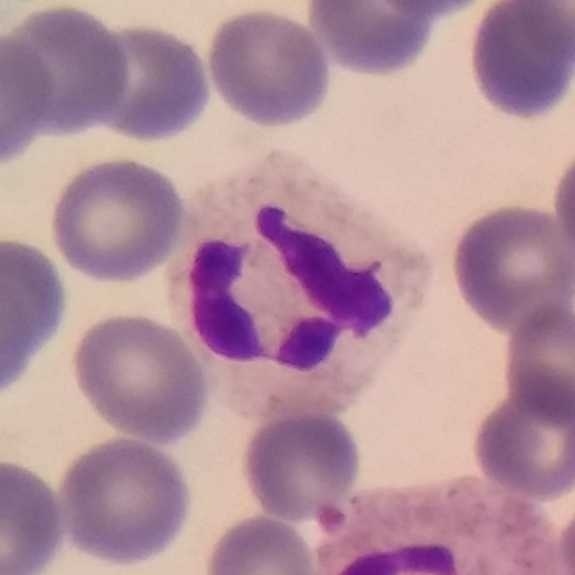
Classification — neutrophil granulocyte. Magnification 100× · peripheral blood smear.